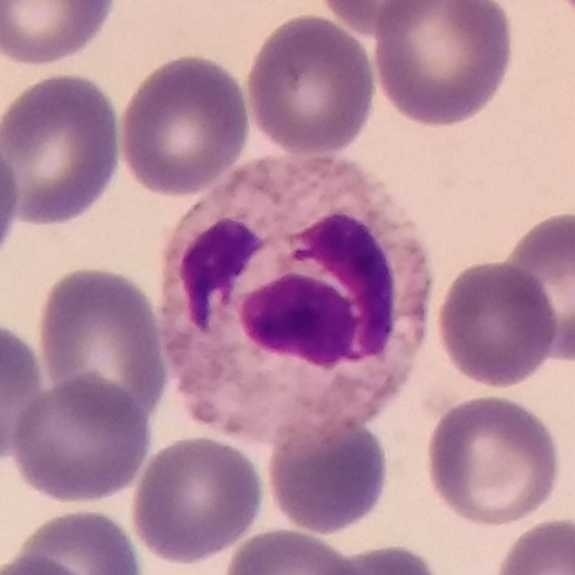
The cell shown is a neutrophil granulocyte. Preparation: Peripheral blood film.